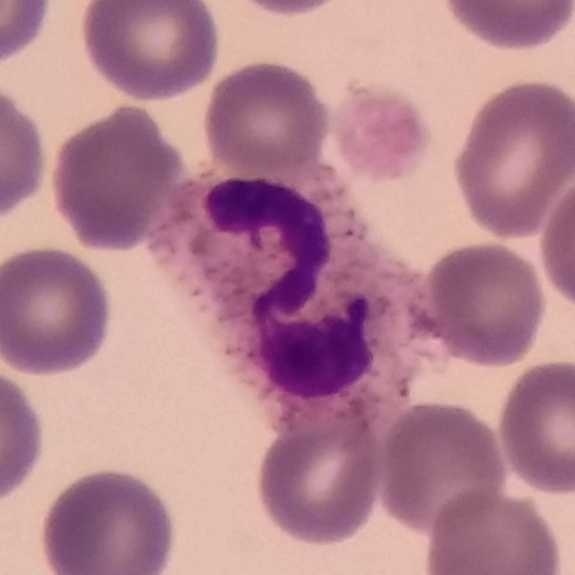Impression → neutrophil.